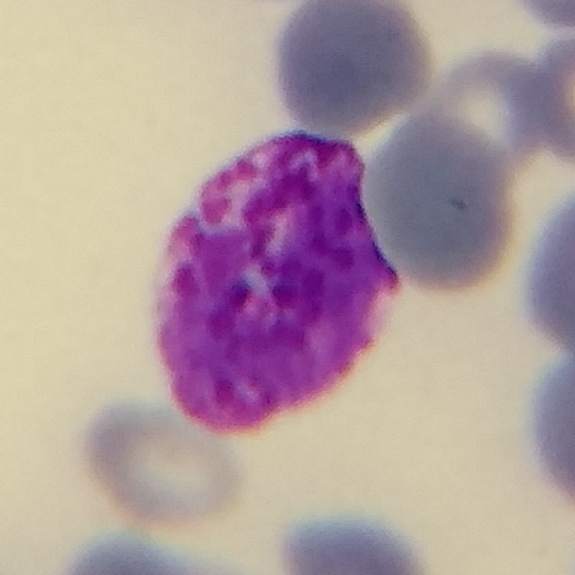

Q: Which type of white blood cell is this?
A: This is a basophil.